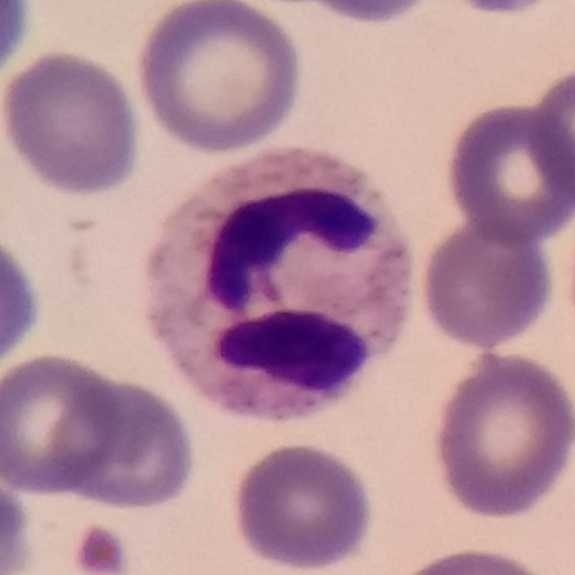
Q: Which cell type is shown here?
A: This is a neutrophil.
Peripheral blood smear. Imaged at 100×. Smartphone photomicrograph.